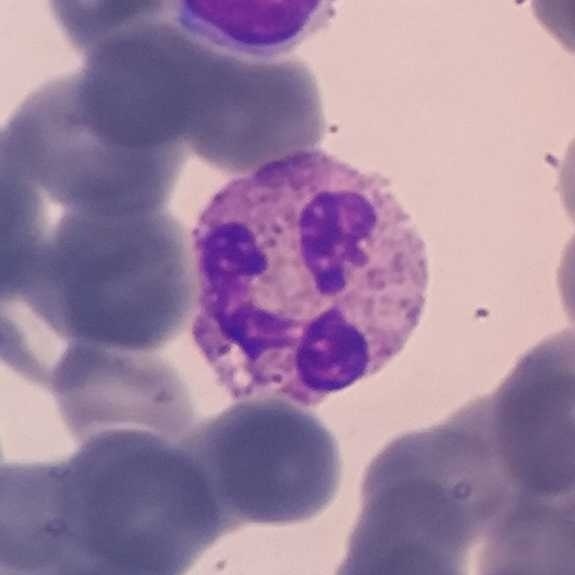Identified as a neutrophil granulocyte.